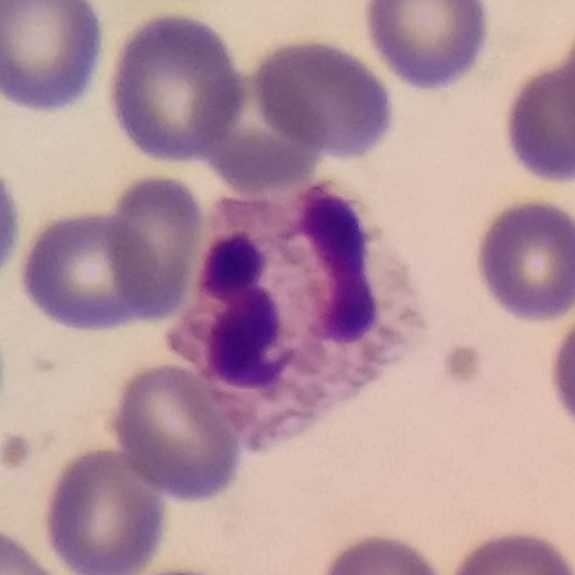 Showing a neutrophilic granulocyte. Preparation: Peripheral blood film. Giemsa-stained. Magnification 100×.